Peripheral blood smear: 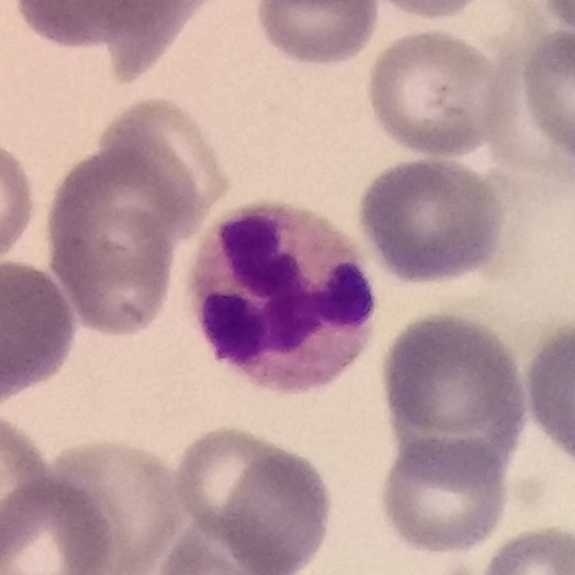

Q: What is the morphological classification of this cell?
A: Neutrophil granulocyte.